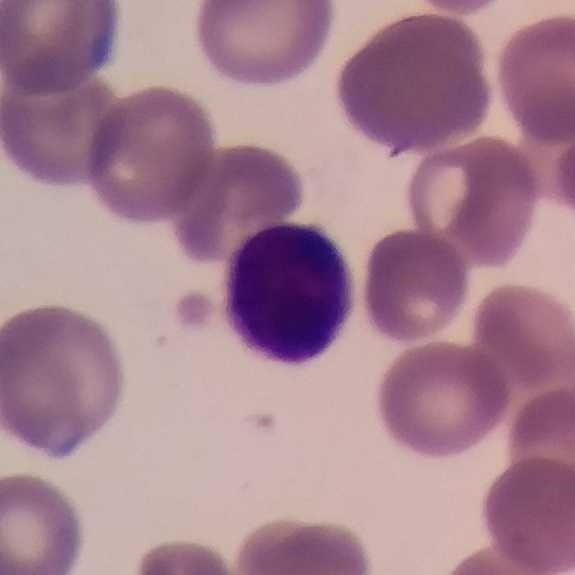 Q: Classify this leukocyte.
A: A lymphocyte.